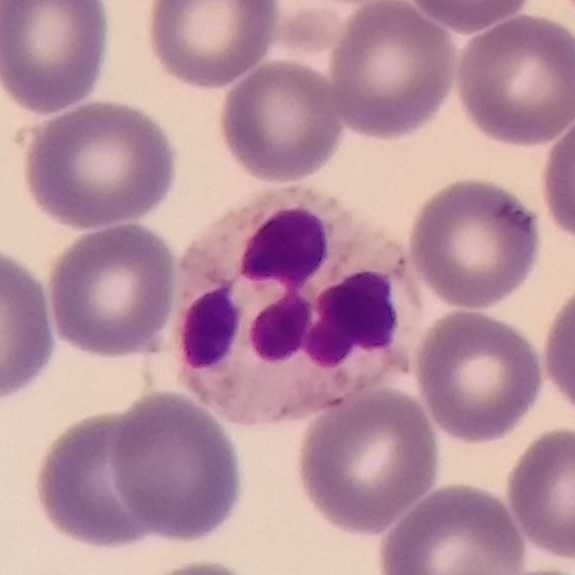

Impression → neutrophilic granulocyte.